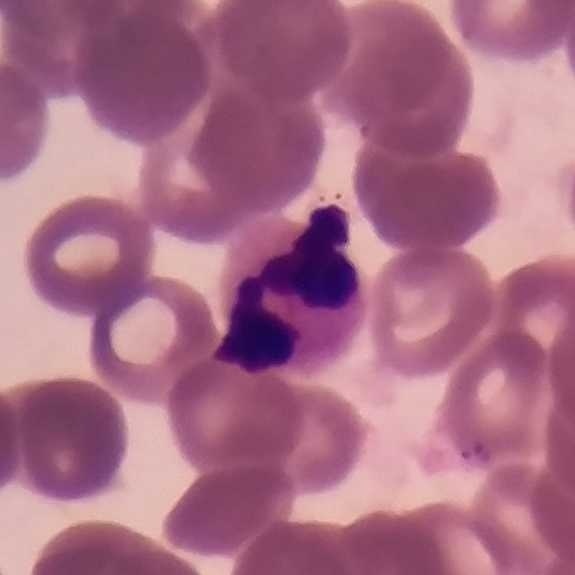
575 by 575 pixels; smartphone photomicrograph. Specimen: peripheral blood smear.
White blood cell type: neutrophilic granulocyte.
Lineage: myeloid.